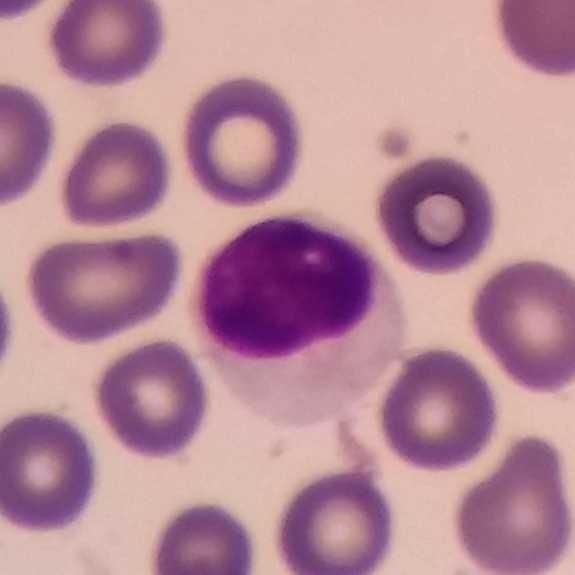

Peripheral blood smear.
Showing a lymphocyte.